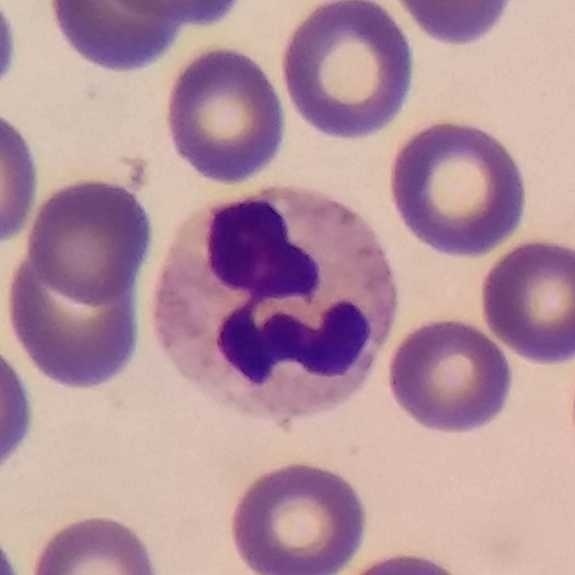Showing a neutrophil granulocyte.